Peripheral blood smear: 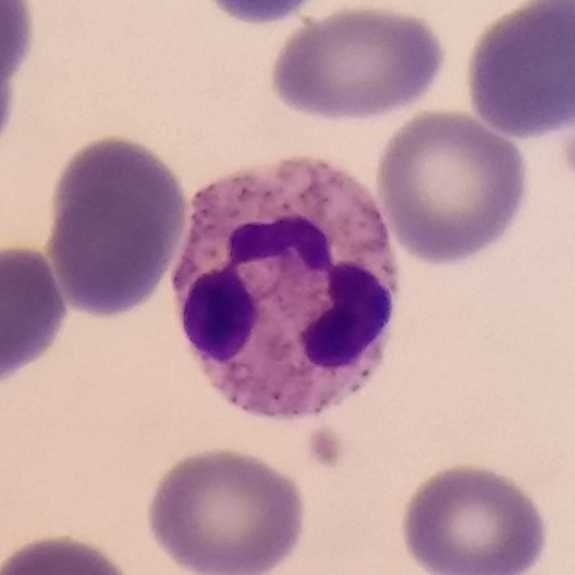
The morphological class is neutrophil.